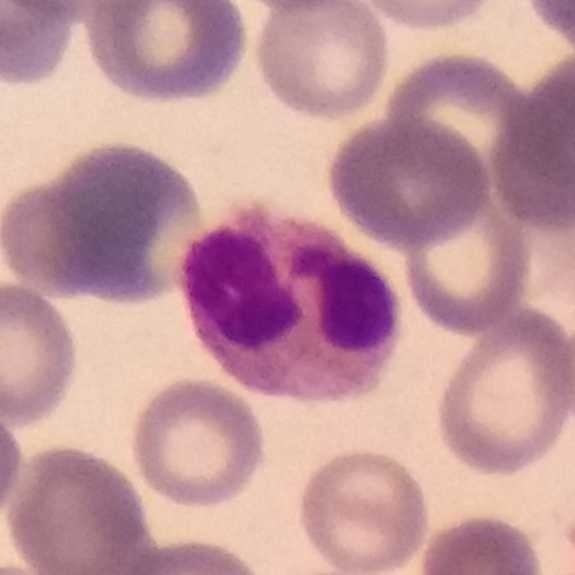 Showing a neutrophil.